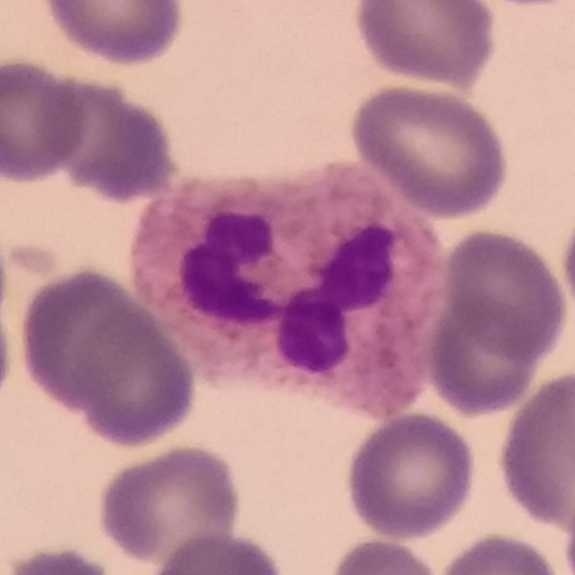Cell type: neutrophilic granulocyte. Context: Single-cell field. Magnification 100×. Peripheral blood film.